100× magnification · single-cell crop · peripheral blood film — 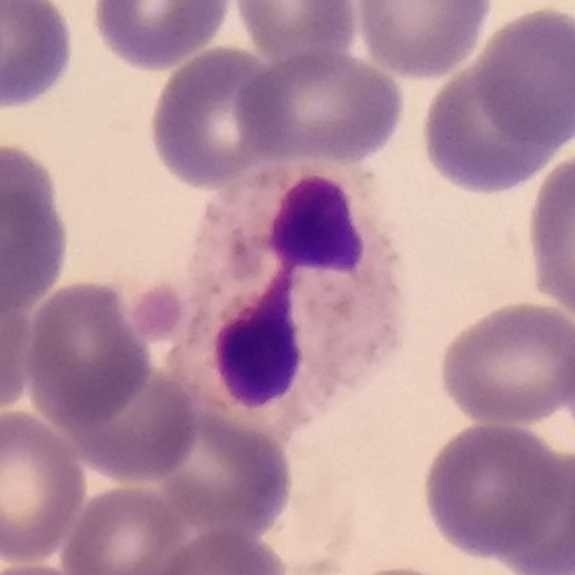 Q: Identify the cell.
A: A neutrophilic granulocyte.